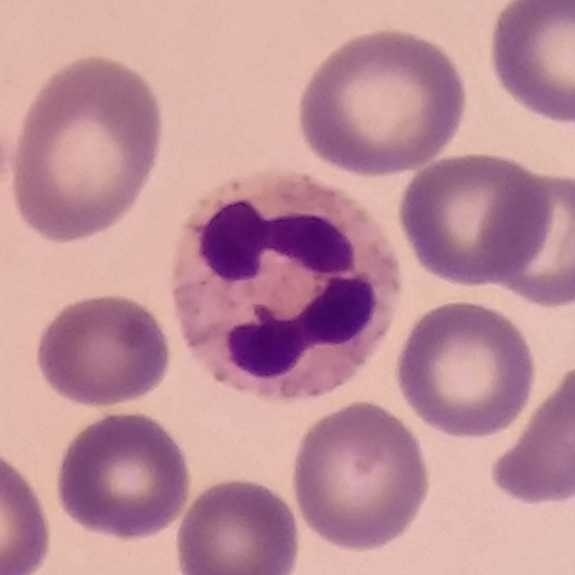Preparation: Peripheral blood smear.

Neutrophilic granulocyte.